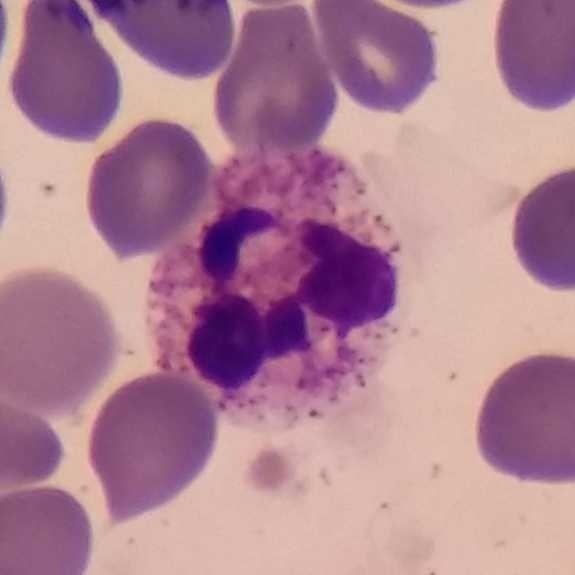

Context: Peripheral blood smear. Giemsa-stained.
White blood cell type: neutrophil.